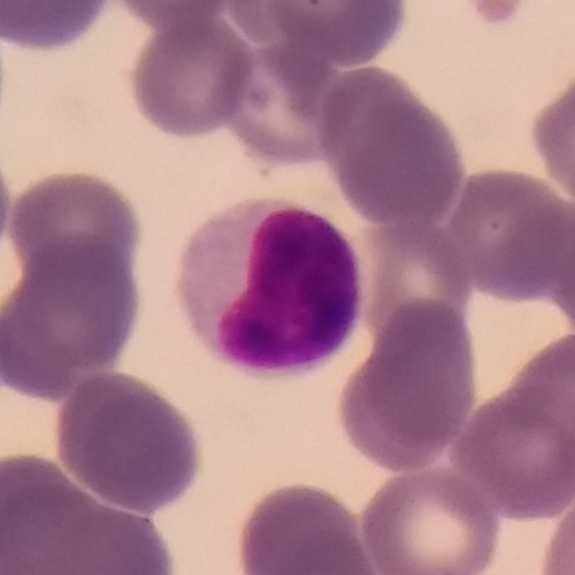Peripheral blood smear.
A lymphocyte.